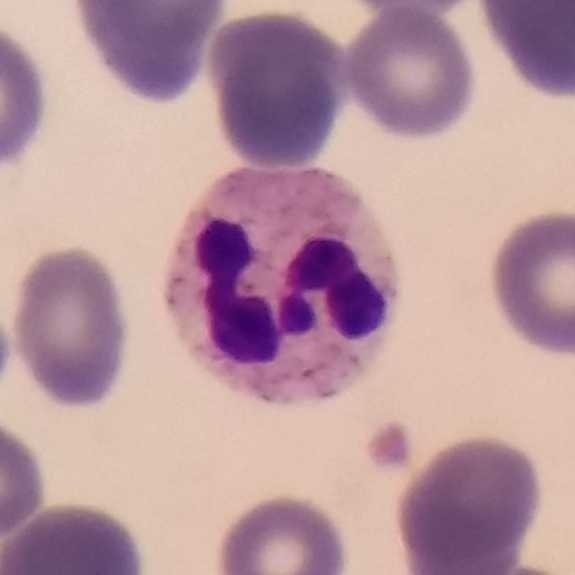
Acquisition: Peripheral blood smear. The cell shown is a neutrophil granulocyte.